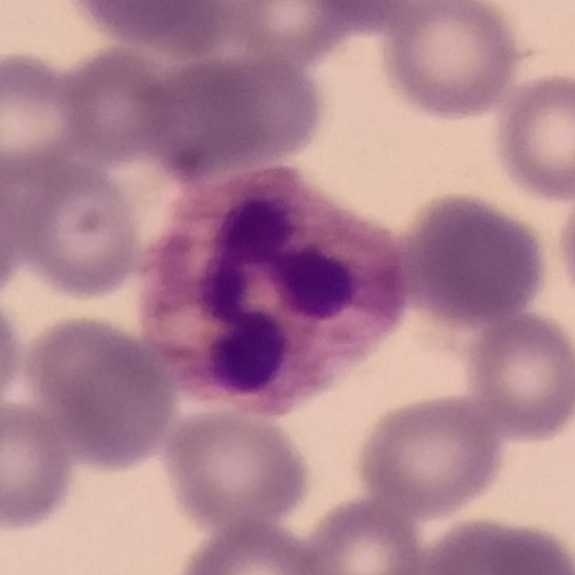 The classification is neutrophil.
Image: Peripheral blood smear; Giemsa-stained.